Peripheral blood film · 575 by 575 pixels — 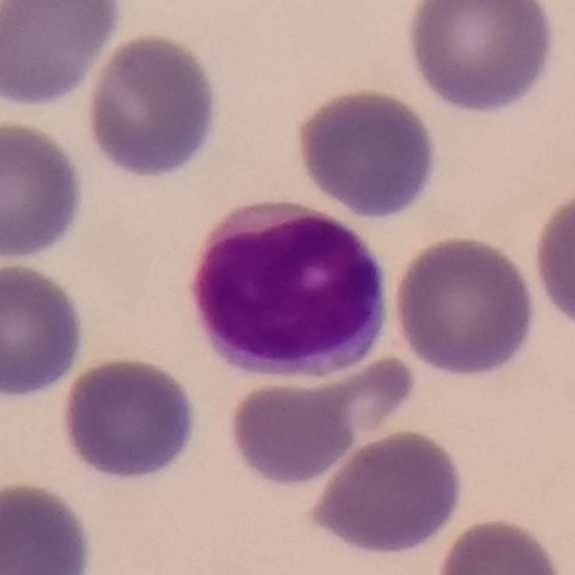

This is a lymphocyte.